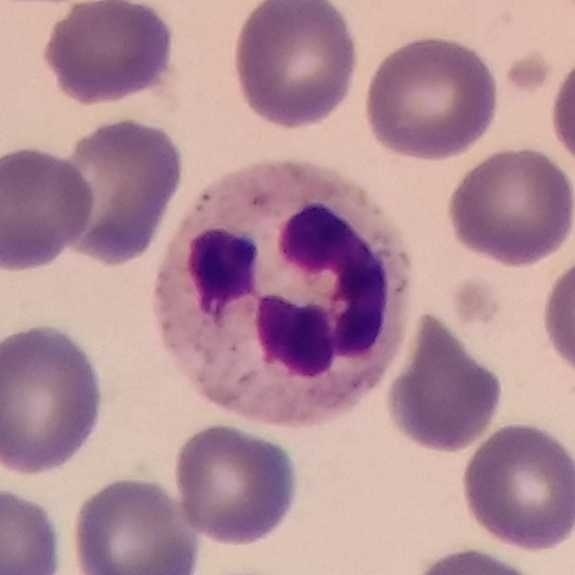 Morphological class — neutrophilic granulocyte.
575 by 575 pixels. Single white blood cell cropped from the smear photograph. Peripheral blood smear.